Peripheral blood film
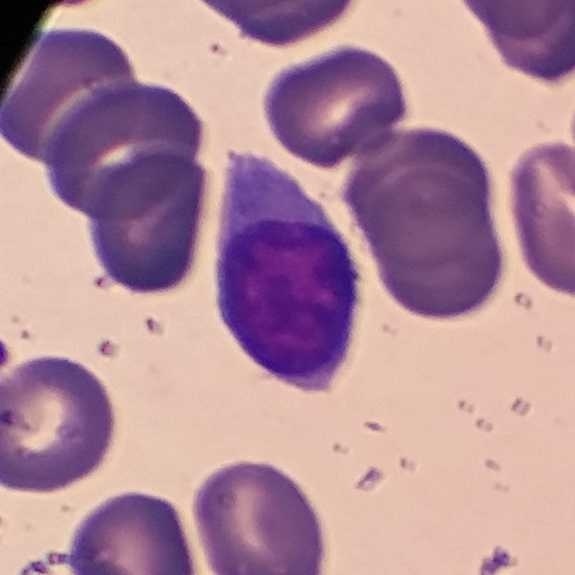 Cell type — lymphocyte.